Image size 575×575 · peripheral blood smear · magnification 100×:
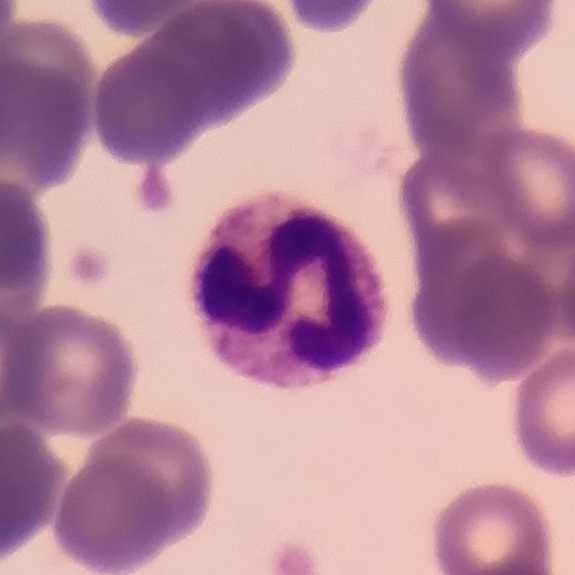 The cell shown is a neutrophilic granulocyte.